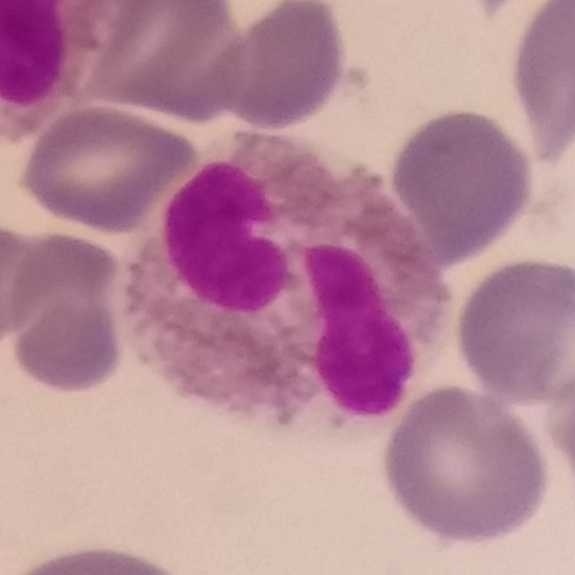
Morphology — eosinophil.
Peripheral blood smear.